Smartphone camera mounted on the microscope eyepiece. Peripheral blood film
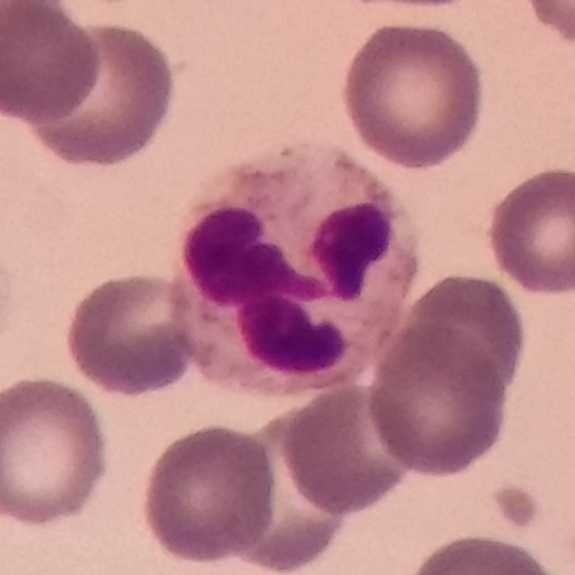

A neutrophil.